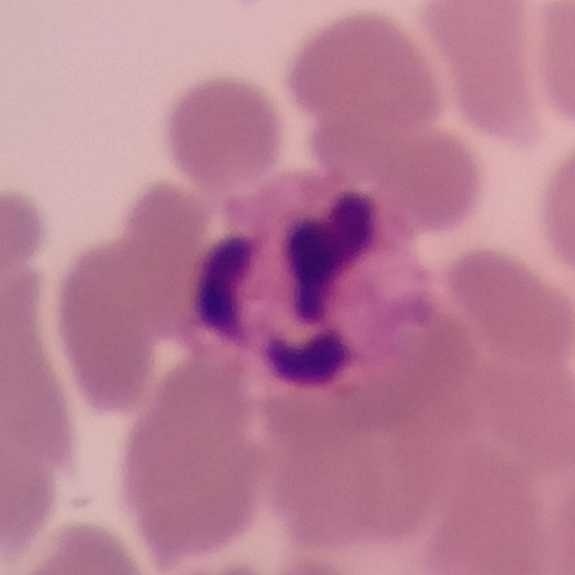 Showing a neutrophilic granulocyte.

Image size 575×575 · photographed through a light microscope with a smartphone camera · peripheral blood smear.